Peripheral blood smear — 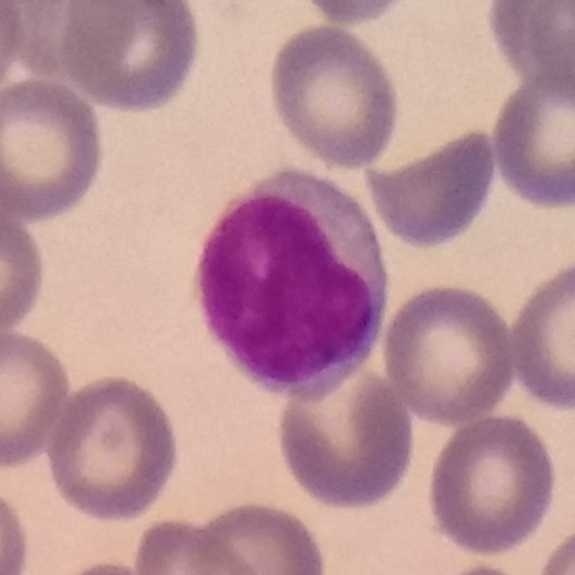
Q: What is the morphological classification of this cell?
A: This is a lymphocyte.